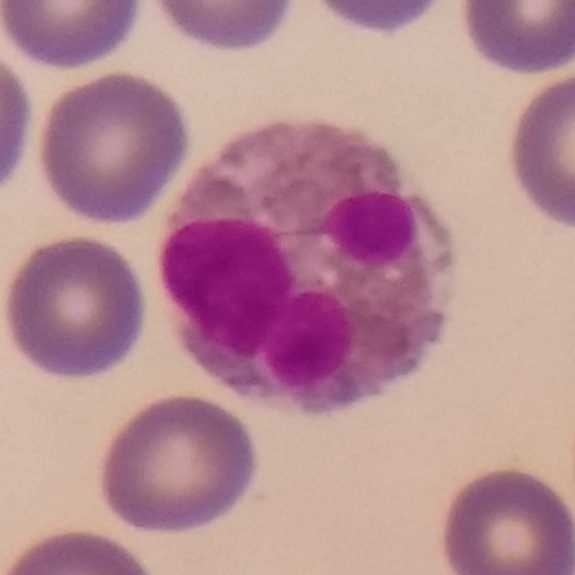 Context: Phone-camera image taken through the microscope ocular. Peripheral blood film.
The cell shown is an eosinophil.